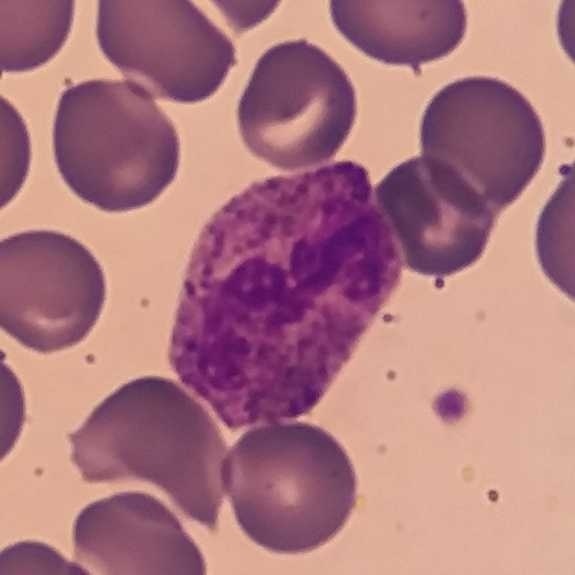
{"cell_type": "neutrophil", "lineage": "myeloid"}